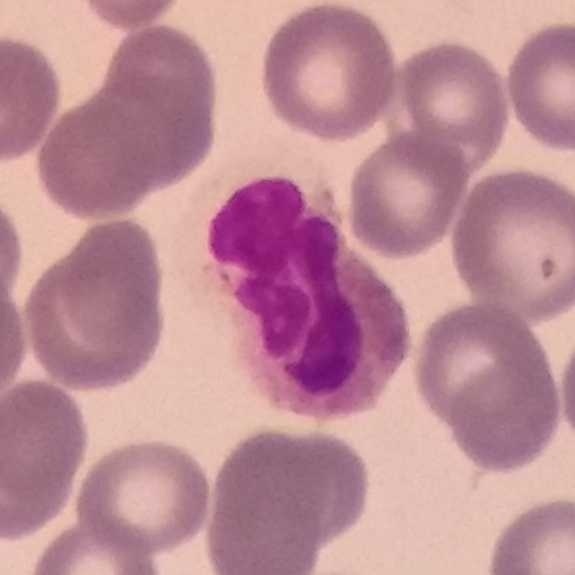
Peripheral blood smear. The white blood cell in this image is a neutrophil granulocyte.